575×575 px. Peripheral blood smear. Single-cell crop: 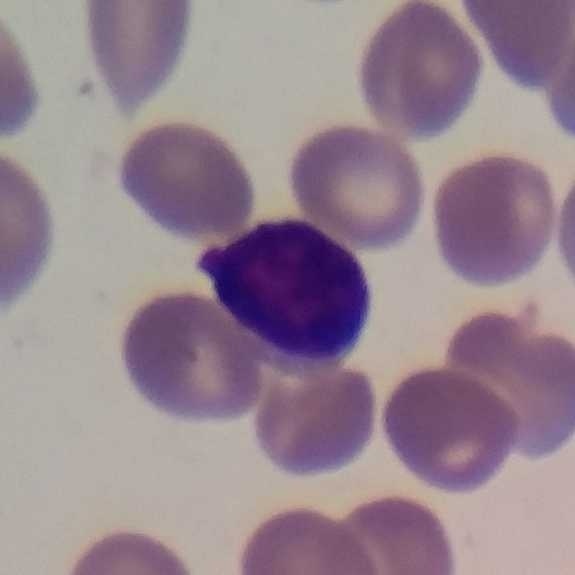
Cell type = lymphocyte.